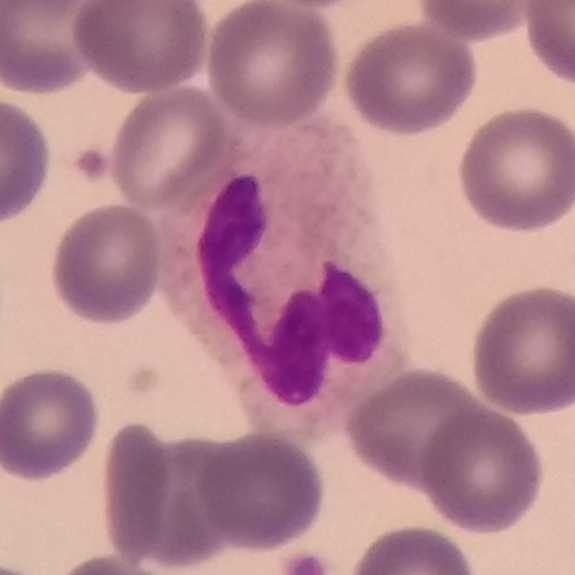 Morphology — neutrophil granulocyte.
Preparation: Smartphone photomicrograph. Peripheral blood smear. Stained with Giemsa.